Image size 575×575 · peripheral blood film · smartphone camera mounted on the microscope eyepiece
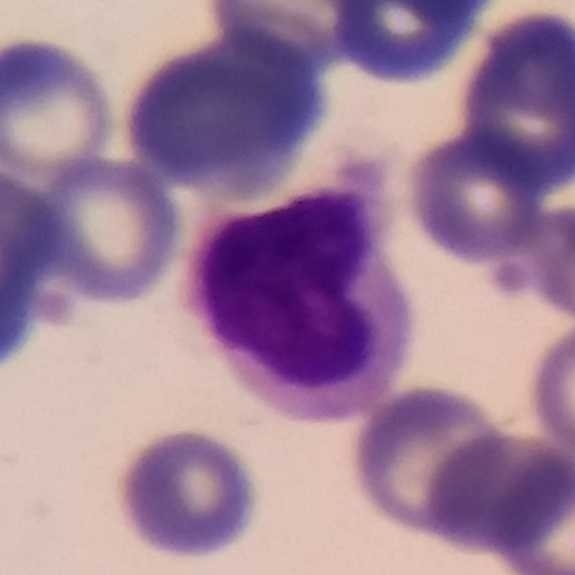 Showing a lymphocyte.